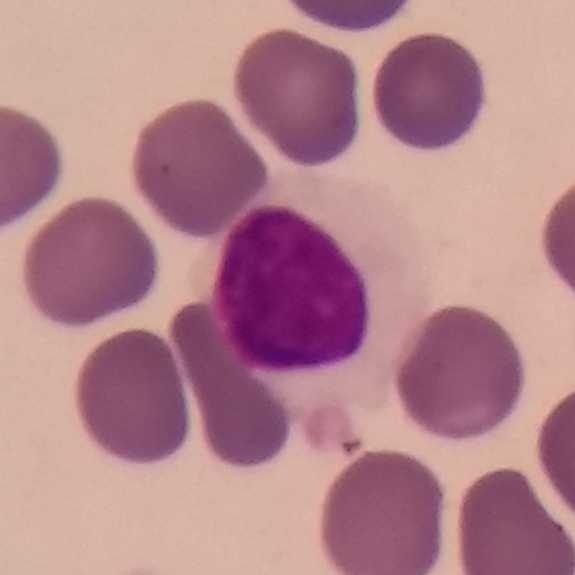 Specimen: peripheral blood smear.
White blood cell type: lymphocyte.